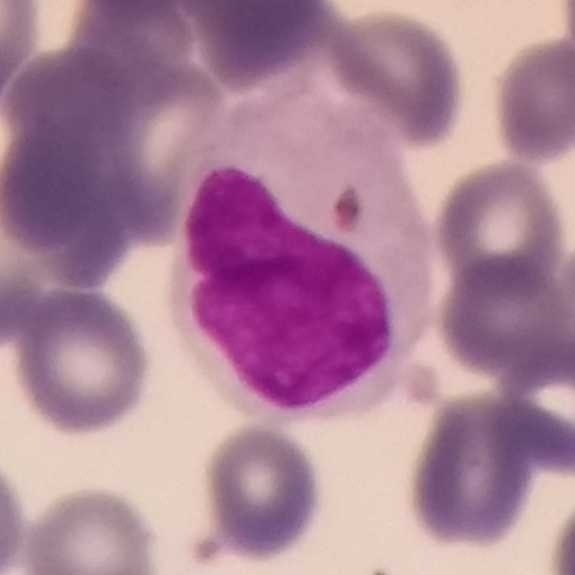

Image: 100× magnification. Peripheral blood film.
Cell: monocyte.